Giemsa stain · peripheral blood smear · image size 575×575 — 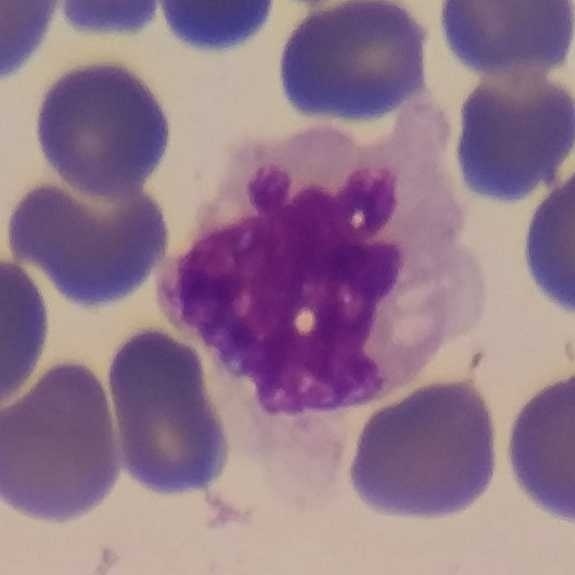 A monocyte.